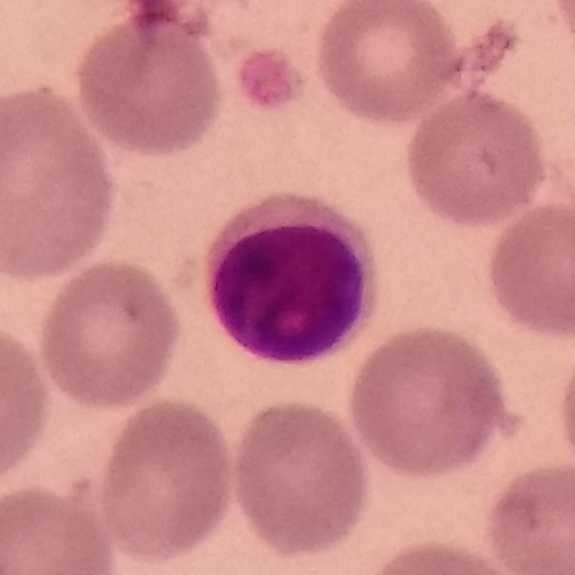
Cell = lymphocyte.